Peripheral blood smear; phone-camera image taken through the microscope ocular: 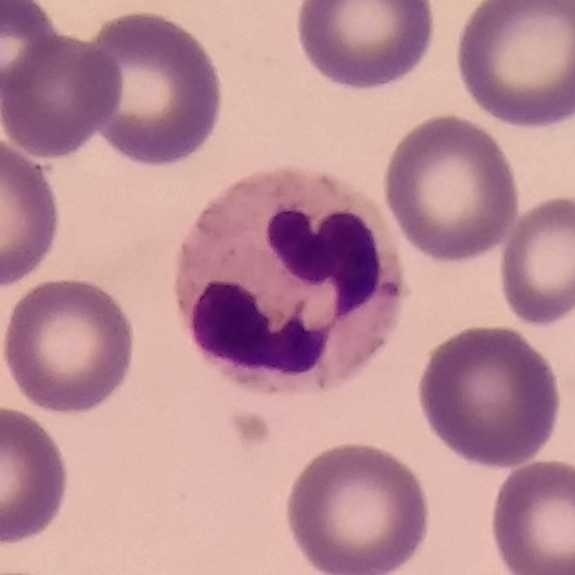The cell shown is a neutrophil granulocyte.